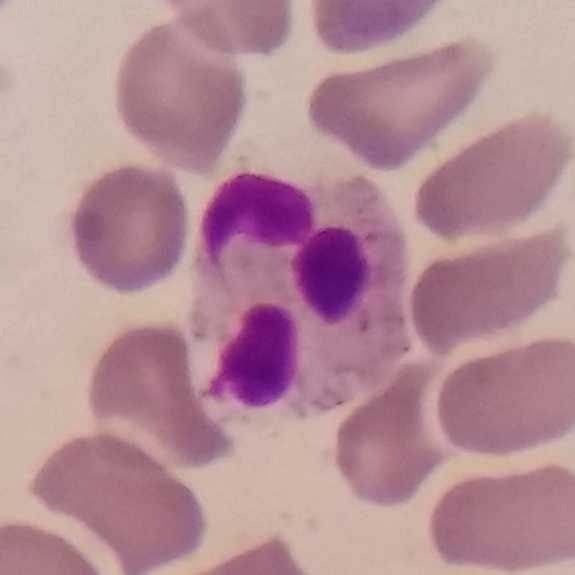
Context: Peripheral blood film.
{"cell_type": "neutrophil granulocyte"}